Peripheral blood smear — 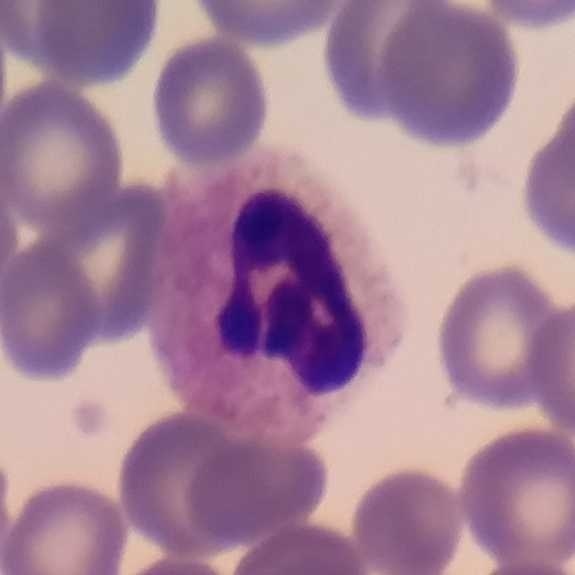

A neutrophilic granulocyte.